Peripheral blood film
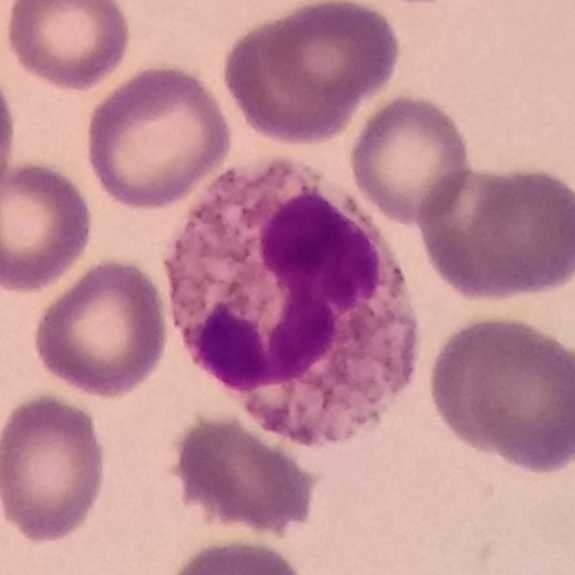Showing a neutrophil.